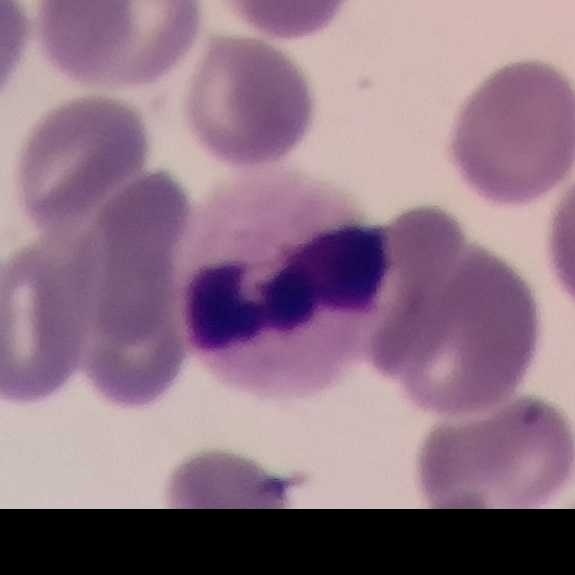 Preparation: Smartphone photomicrograph.

Specimen: peripheral blood film.
White blood cell type: neutrophil granulocyte.
Lineage: myeloid.